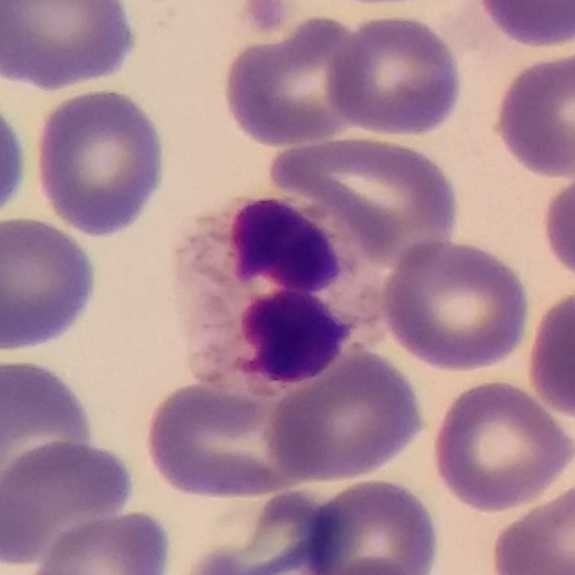
Phone-camera image taken through the microscope ocular; peripheral blood smear. A neutrophil.